Peripheral blood film.
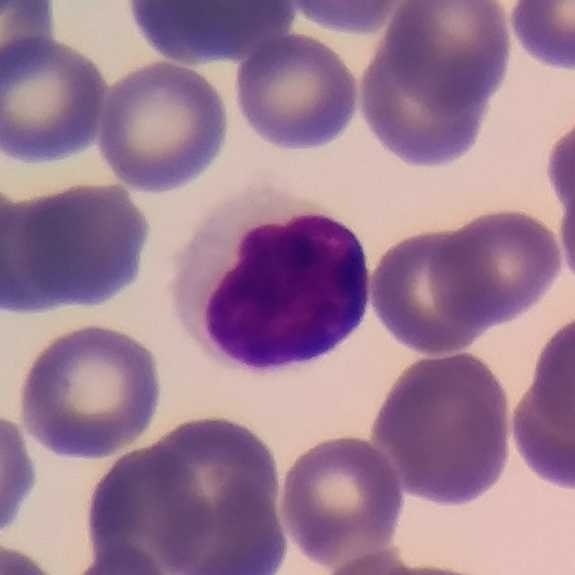Specimen: peripheral blood smear.
White blood cell type: lymphocyte.
Lineage: lymphoid.